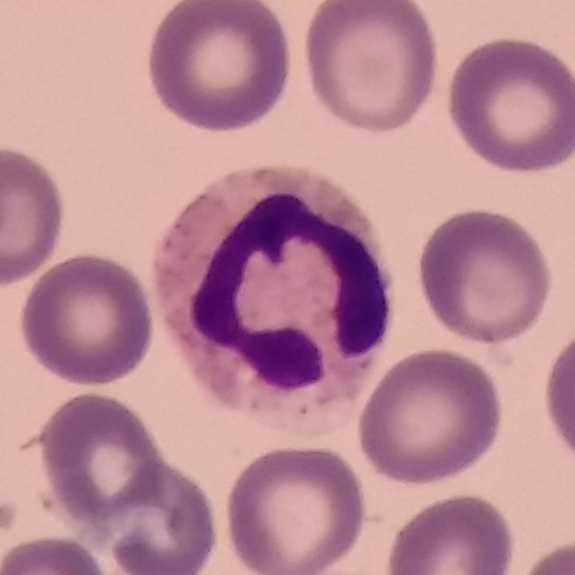Specimen: peripheral blood smear.
Classification: neutrophilic granulocyte.